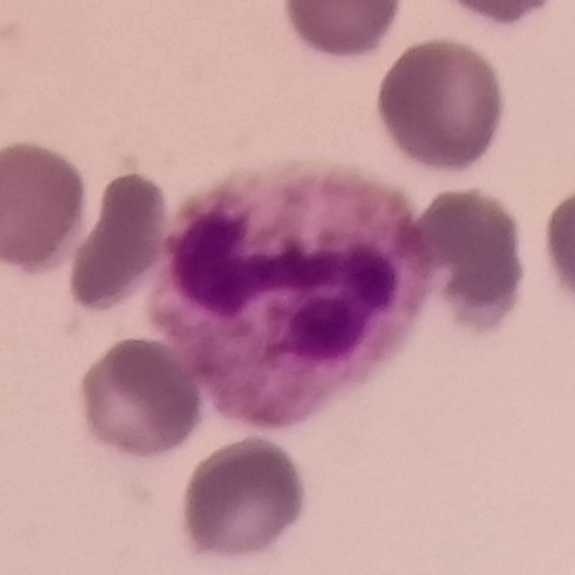Specimen: peripheral blood film.
White blood cell type: neutrophil.
Lineage: myeloid.